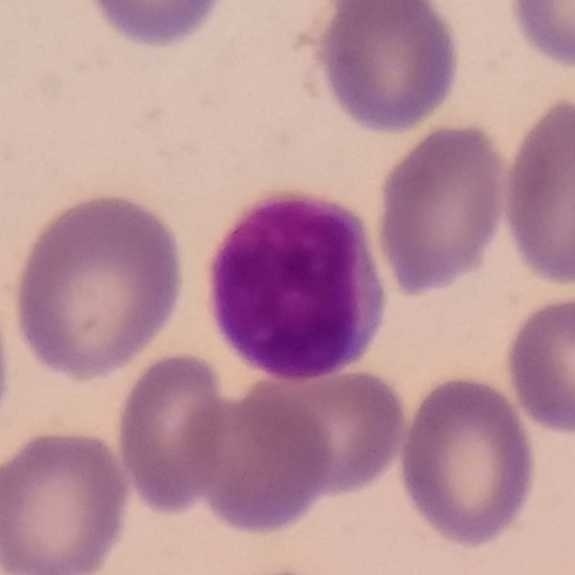
Preparation: Peripheral blood smear · stained with Giemsa.

A lymphocyte.